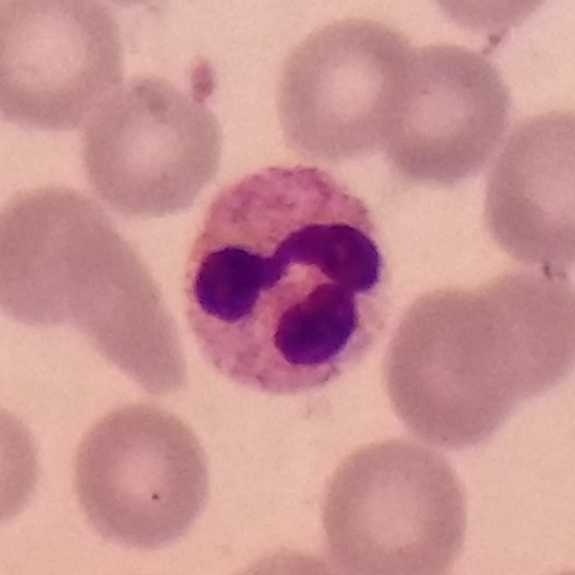 Peripheral blood smear.
Neutrophil granulocyte.